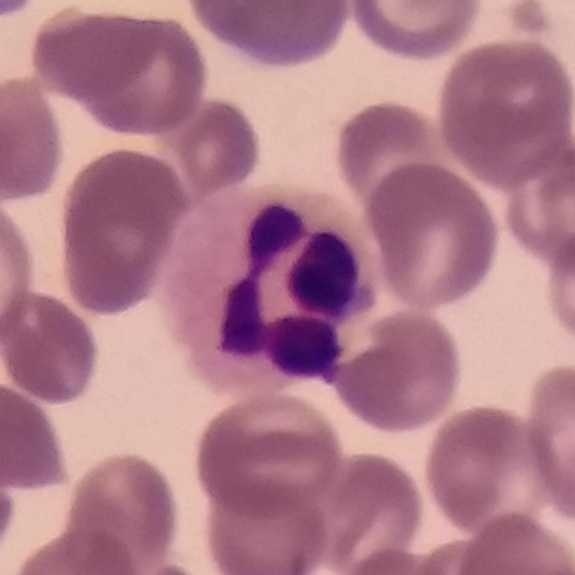

Preparation: Peripheral blood smear.

Q: What is this?
A: Neutrophil.